Peripheral blood smear
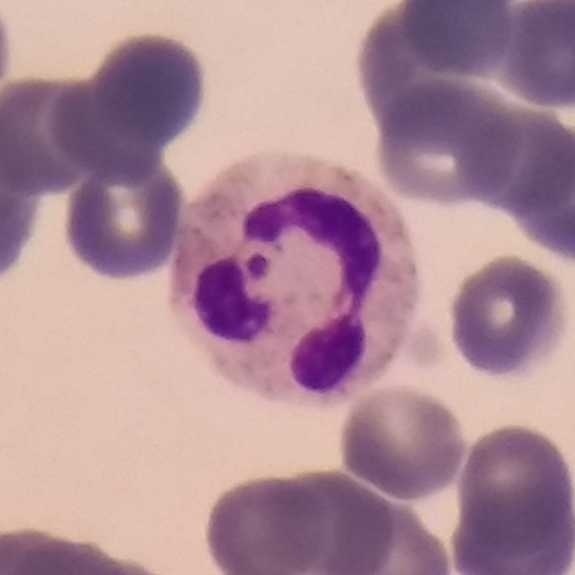Single cell identified as a neutrophilic granulocyte.